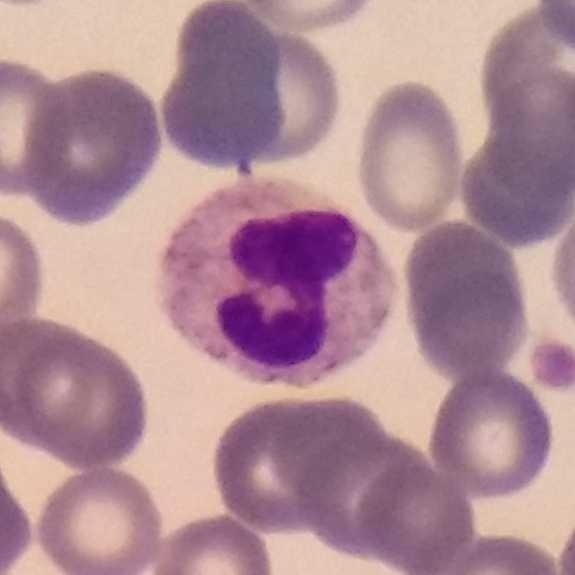
The cell shown is a neutrophil granulocyte. Preparation: Single-cell crop; magnification 100×; peripheral blood smear.